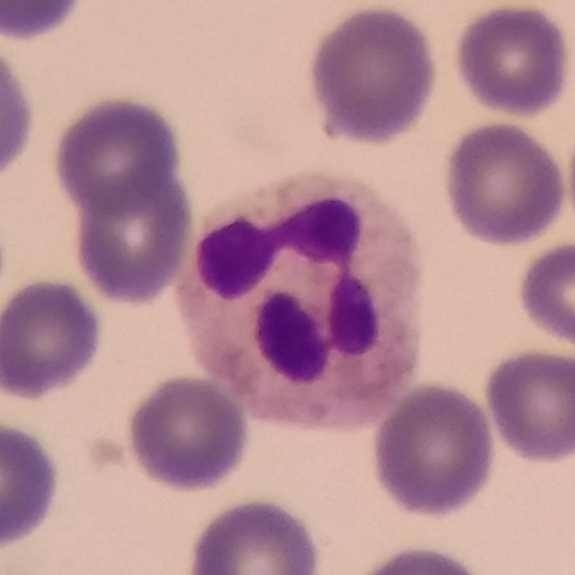

Q: What type of cell is this?
A: A neutrophil granulocyte. Peripheral blood smear; cropped to one leukocyte.